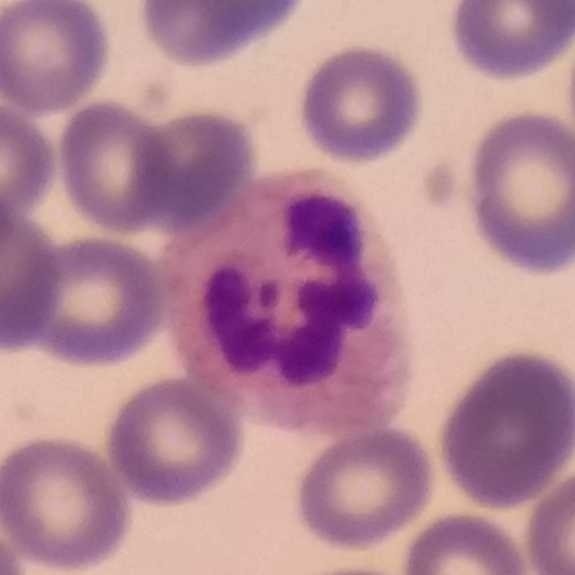

Q: What is this?
A: This is a neutrophil granulocyte.
Acquisition: Peripheral blood film.